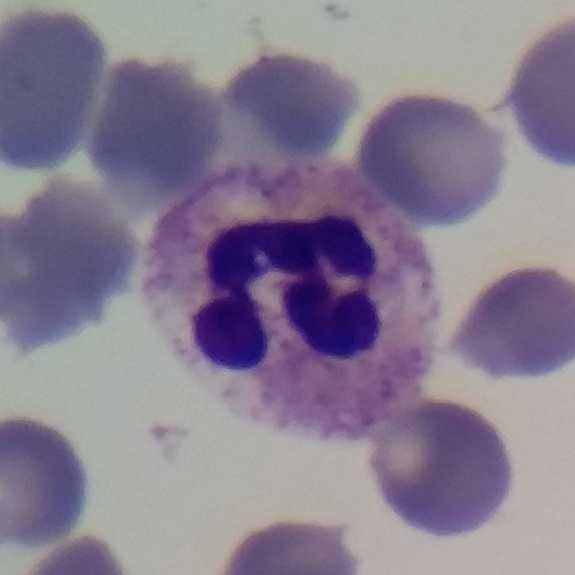Preparation: Peripheral blood smear. The cell is neutrophil granulocyte.